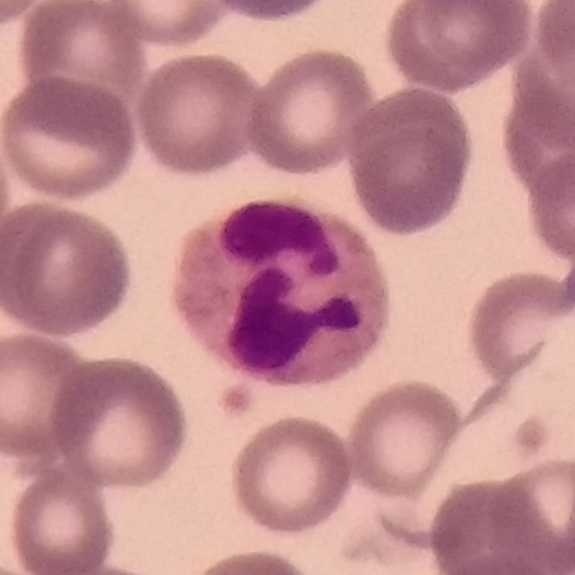
The cell shown is a neutrophil.